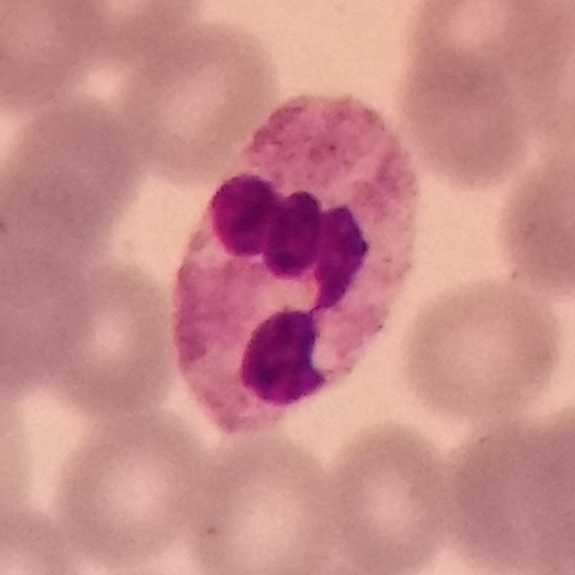

The morphological class is neutrophilic granulocyte.